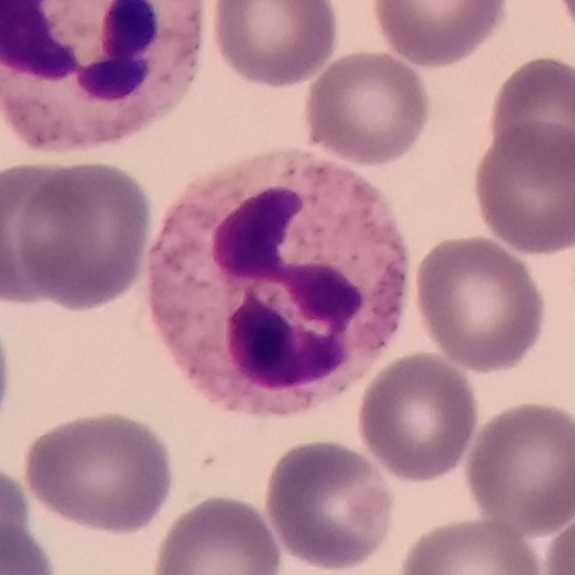 Specimen: peripheral blood film.
Cell: neutrophilic granulocyte.
Lineage: myeloid.